Peripheral blood smear:
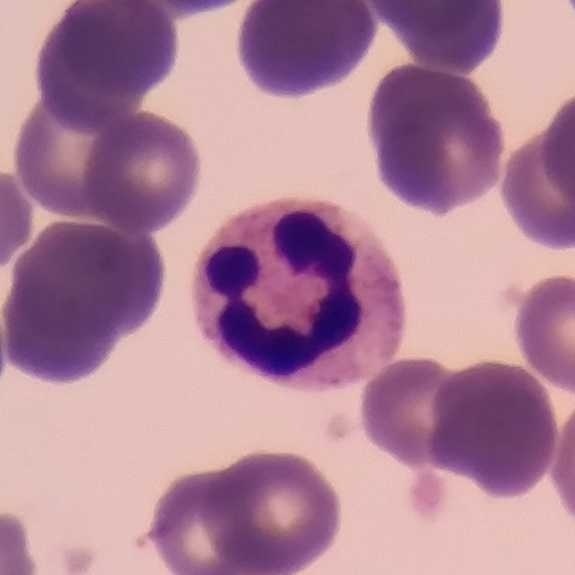

Q: Which cell type is shown here?
A: Neutrophilic granulocyte.